Peripheral blood smear. 575 by 575 pixels — 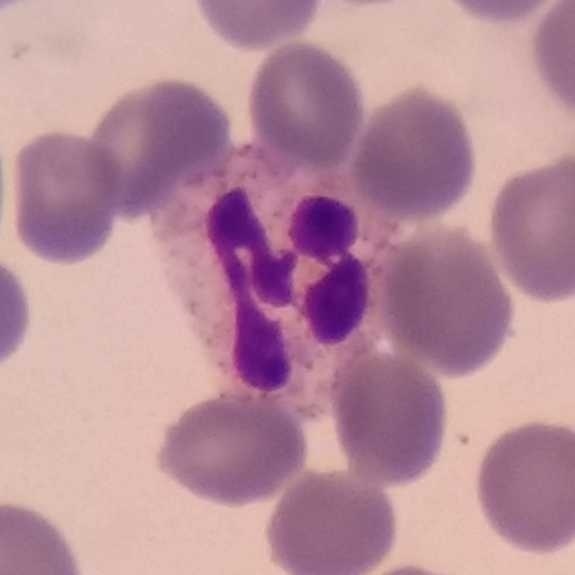 Q: Classify this leukocyte.
A: This is a neutrophilic granulocyte.